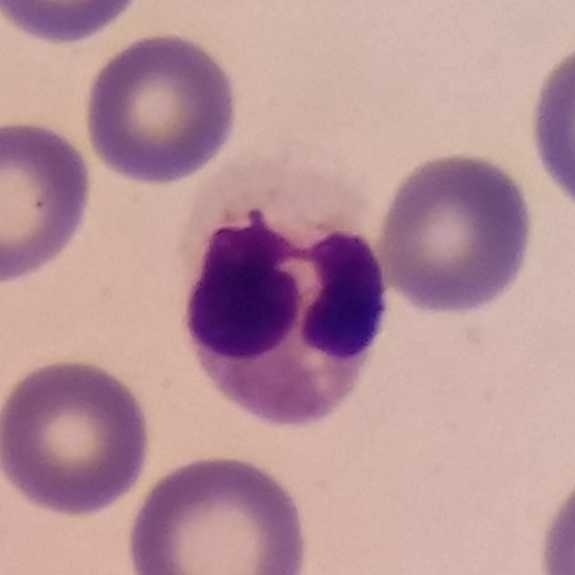
Acquisition: 575×575 px; peripheral blood film.

Q: What is the morphological classification of this cell?
A: A neutrophil granulocyte.